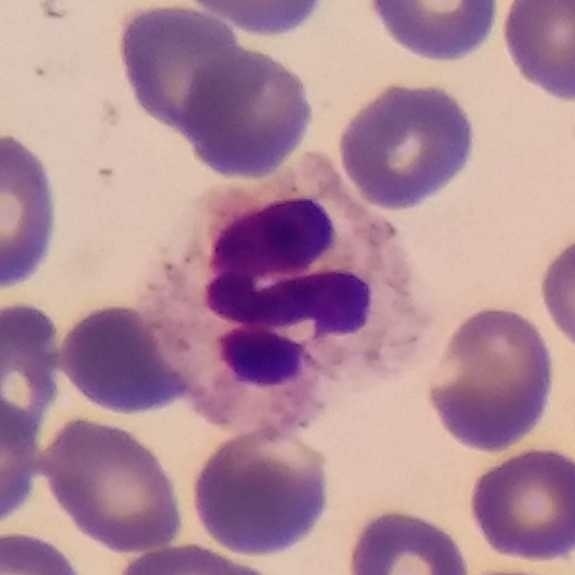

Peripheral blood smear; single white blood cell cropped from the smear photograph; 575 by 575 pixels. Q: Which cell type is shown here?
A: It is a neutrophilic granulocyte.